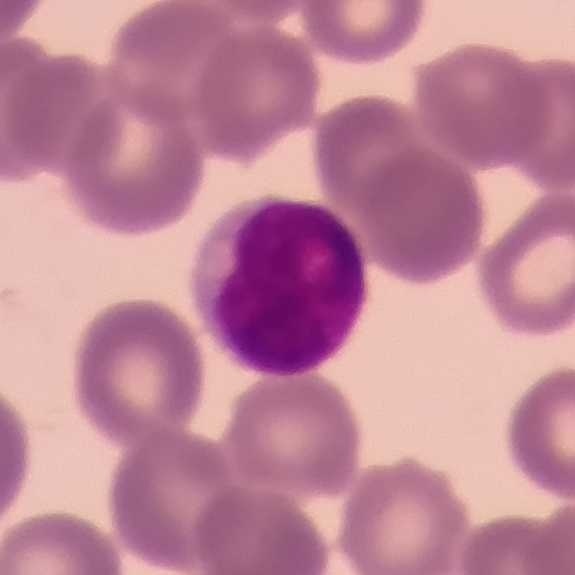
Context: Peripheral blood smear. Q: What is the morphological classification of this cell?
A: This is a lymphocyte.